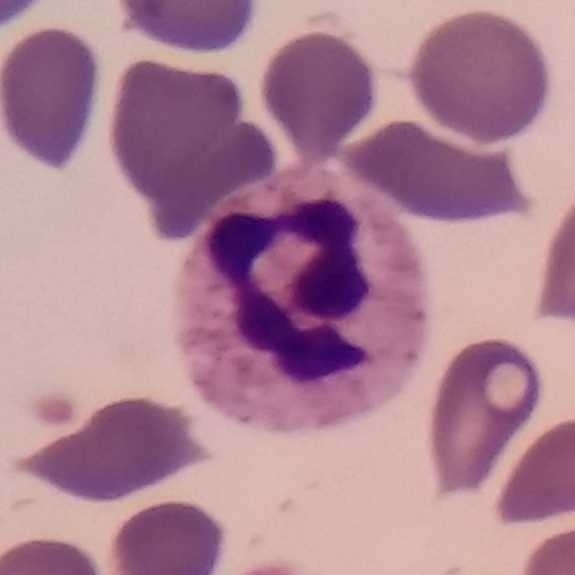
White blood cell type — neutrophil.